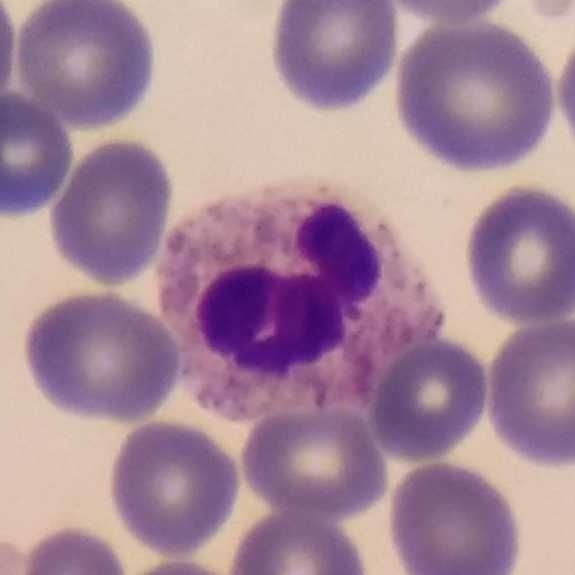

Classification = neutrophilic granulocyte.